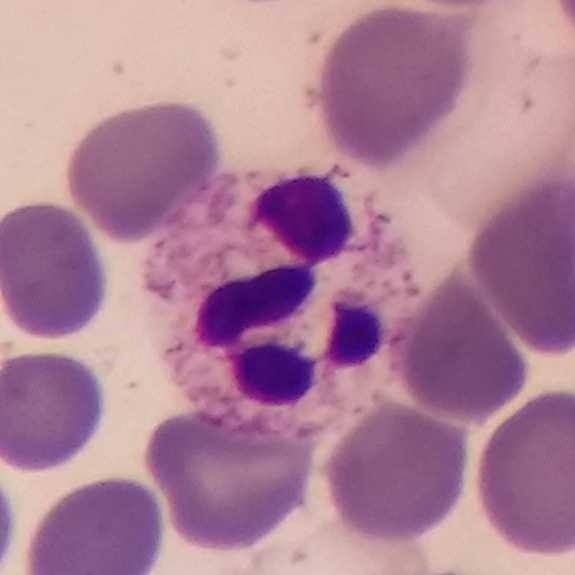

Peripheral blood film.

Impression → neutrophil.